Single-cell field · peripheral blood film.
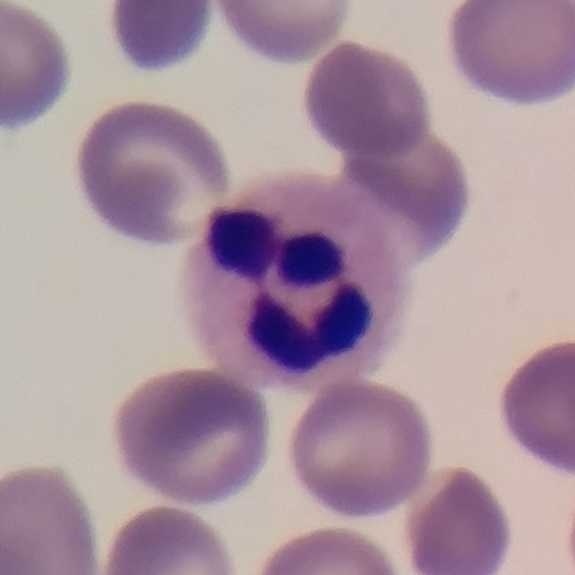

Q: What cell is this?
A: Neutrophilic granulocyte.